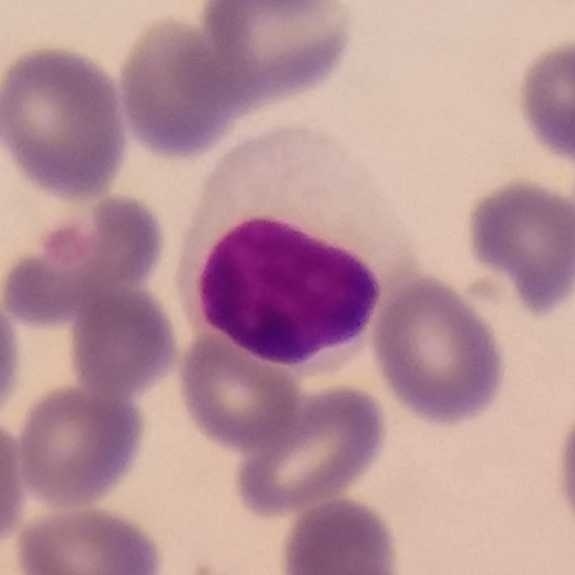

Q: What is shown here?
A: This is a lymphocyte.